Peripheral blood film
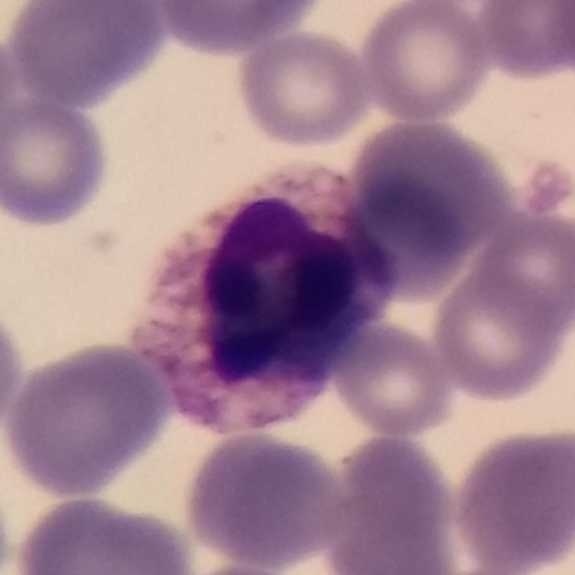

The cell shown is a neutrophilic granulocyte.